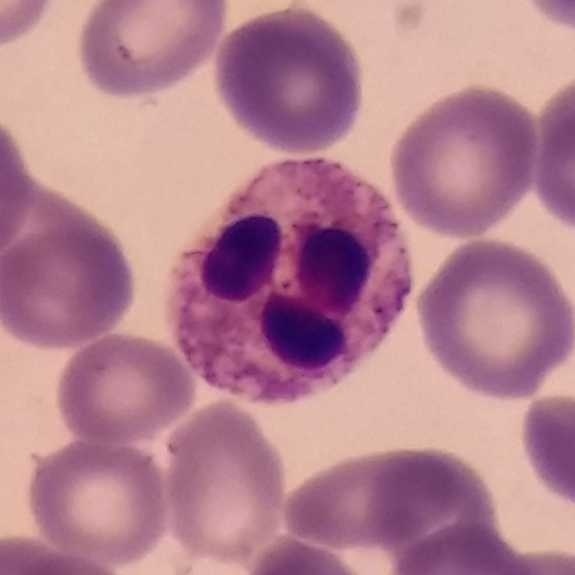

The white blood cell type is neutrophil granulocyte.

Peripheral blood film.